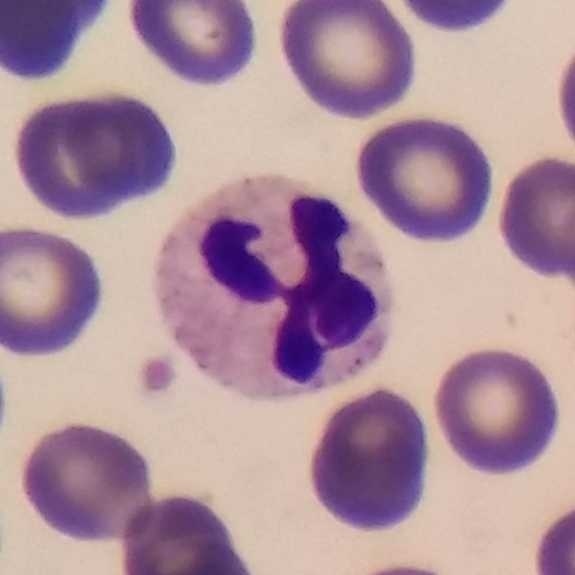 Identified as a neutrophilic granulocyte.
Context: Peripheral blood smear; stained with Giemsa.